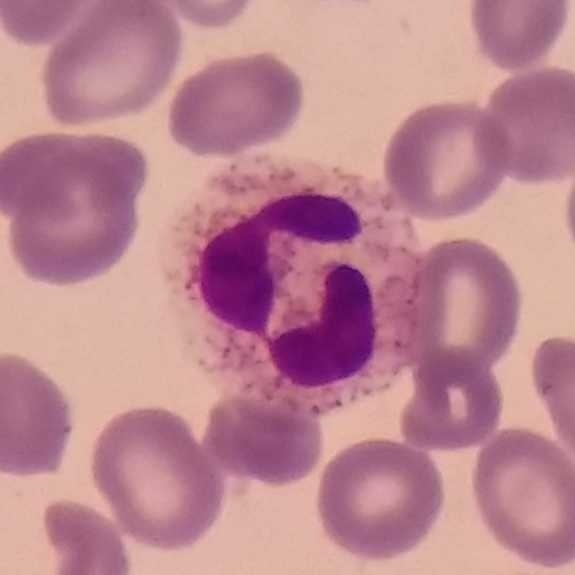
A neutrophil.